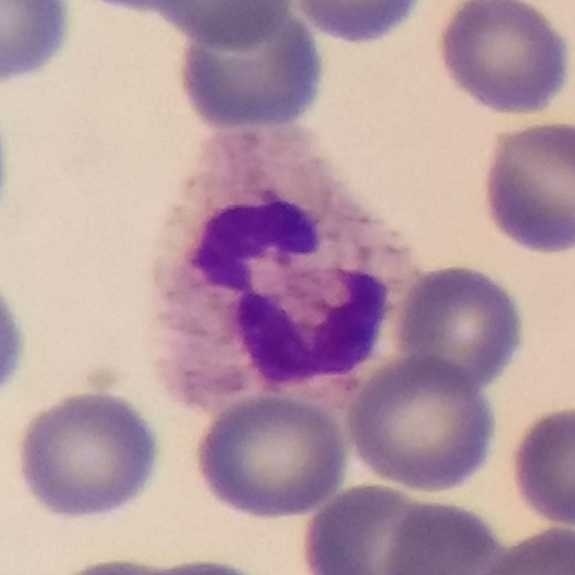 Preparation: Peripheral blood smear; 100× magnification. Single cell identified as a neutrophil granulocyte.